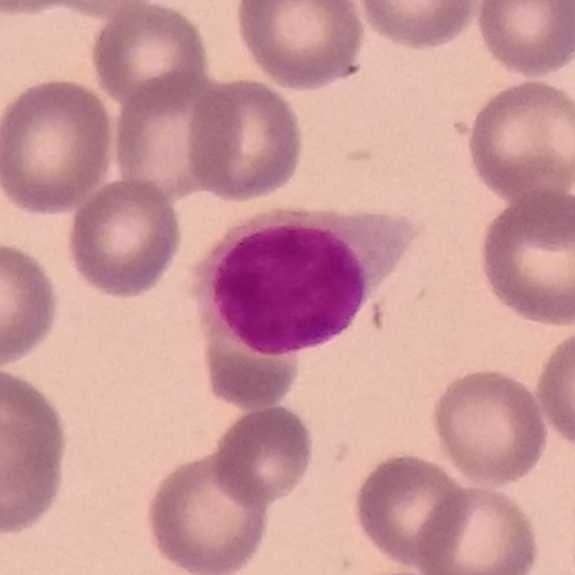
Specimen: peripheral blood smear.
Cell: lymphocyte.
Lineage: lymphoid.